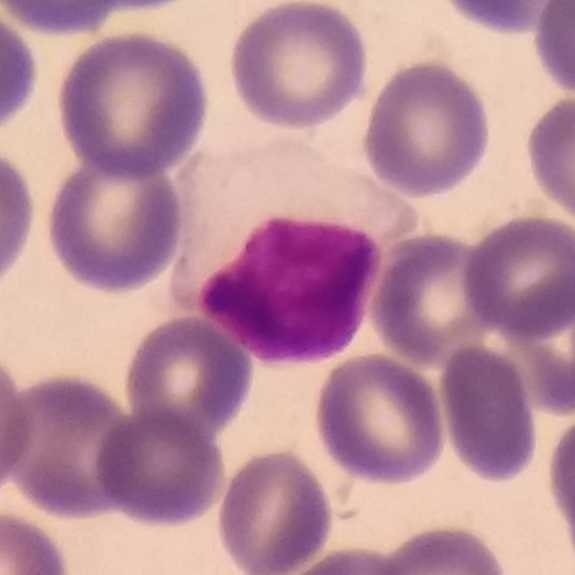 Cell type: lymphocyte.